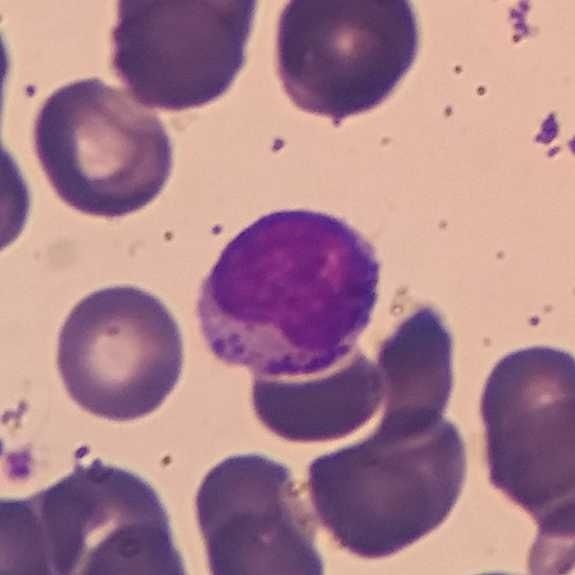 Single cell identified as a lymphocyte.